Image size 575×575. Peripheral blood film:
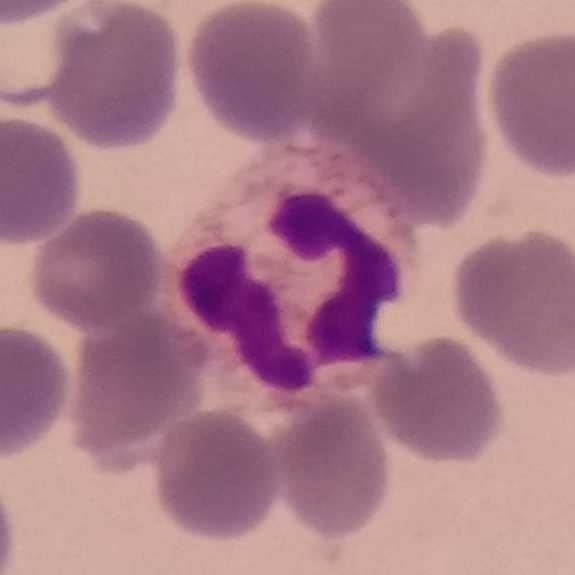 Single cell identified as a neutrophilic granulocyte.